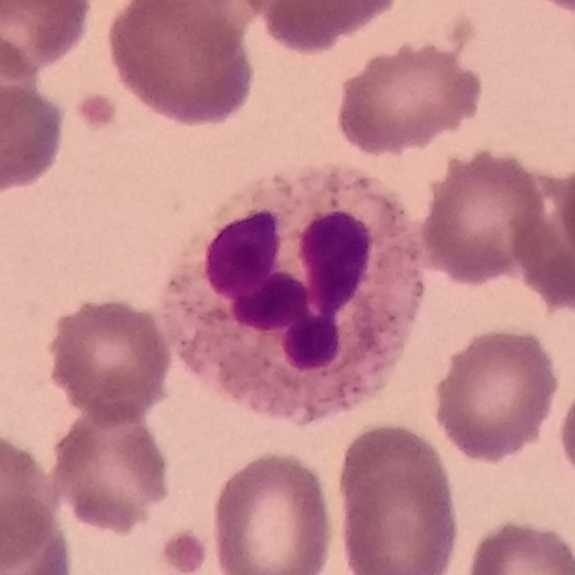

The cell shown is a neutrophilic granulocyte.

Acquisition: Imaged at 100×; peripheral blood film.